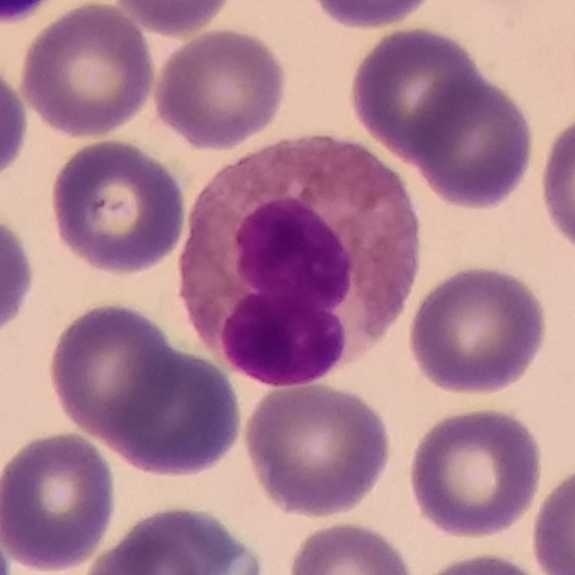
The cell shown is an eosinophilic granulocyte.